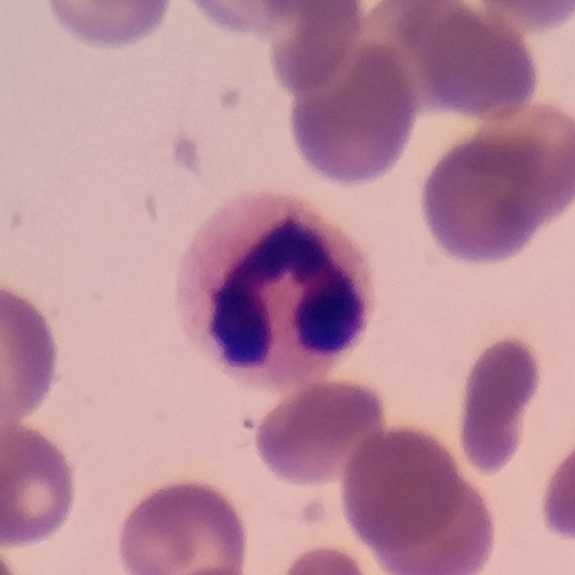 Q: Which cell type is shown here?
A: A neutrophil granulocyte.